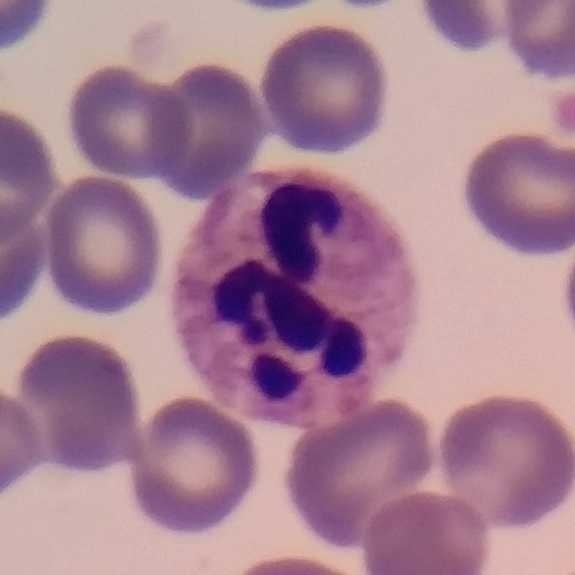
Morphology → neutrophil granulocyte.